Peripheral blood film. Stained with Giemsa:
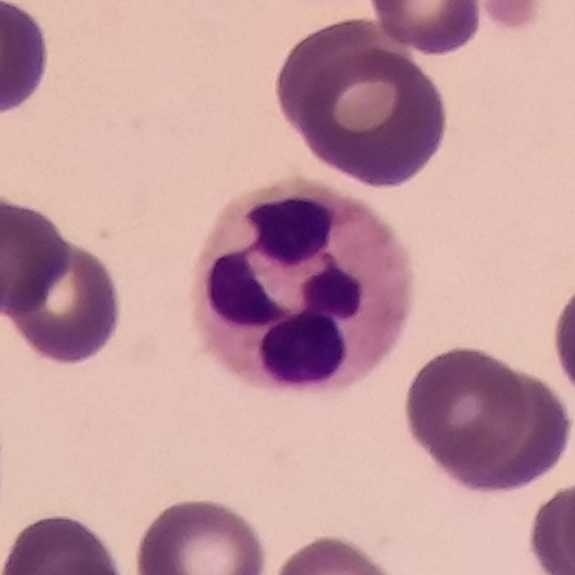
Morphological class = neutrophilic granulocyte.